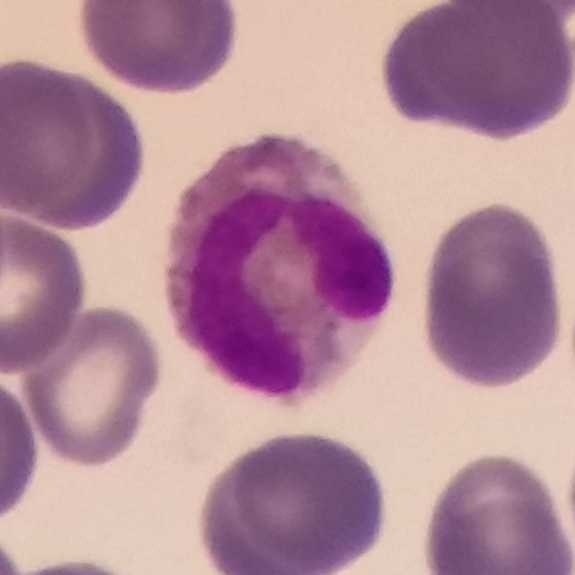

Single white blood cell cropped from the smear photograph · peripheral blood smear.
Morphology → eosinophil.